Peripheral blood film; magnification 100×
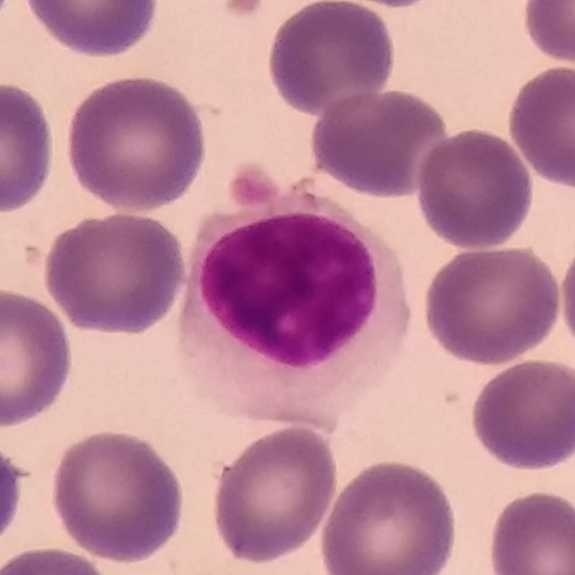
Cell: lymphocyte.